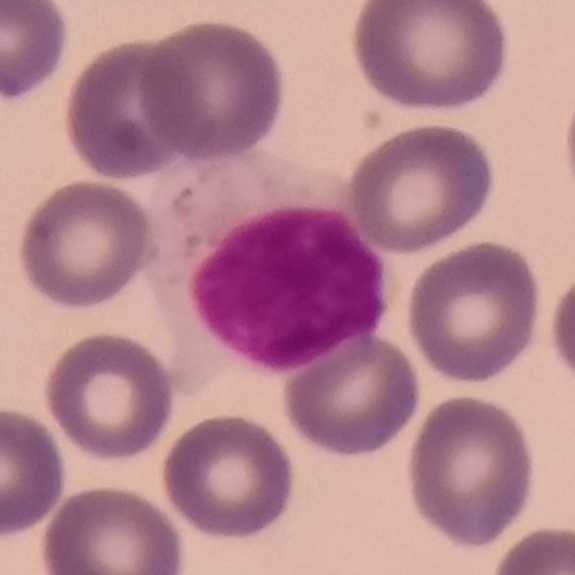
Context: Peripheral blood film. Impression — lymphocyte.